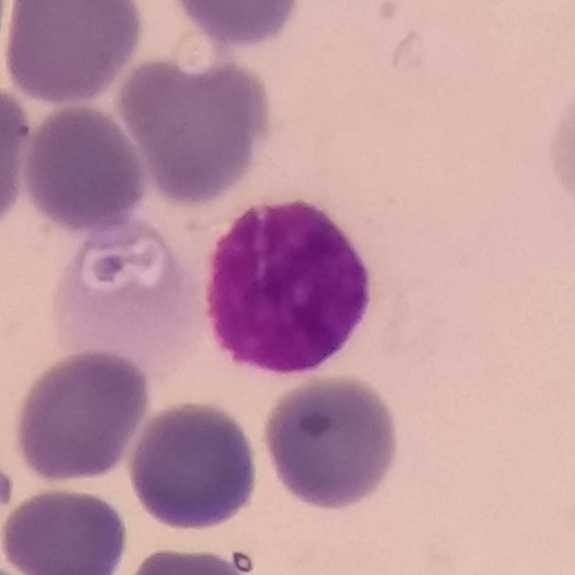 Cell = lymphocyte. Peripheral blood film. Giemsa stain. Image size 575×575.